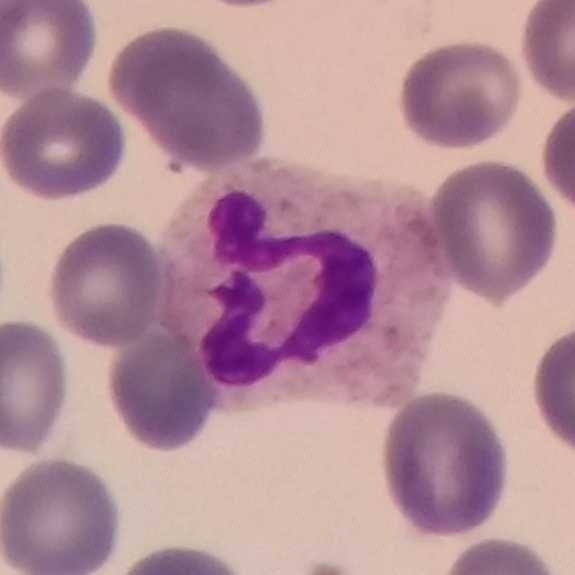
Image: Stained with Giemsa · peripheral blood film. Neutrophil.